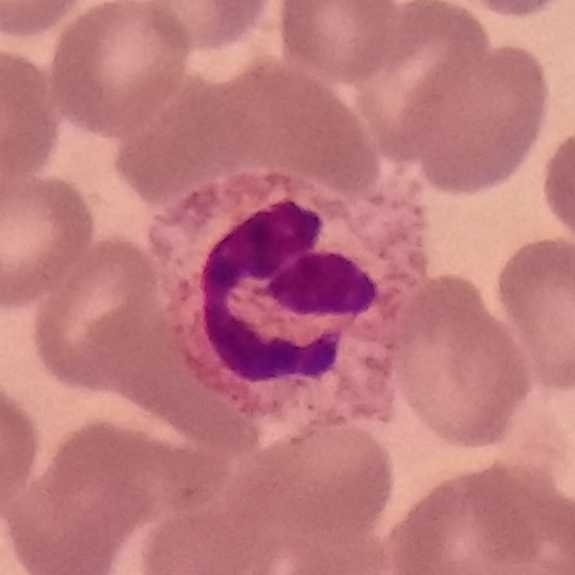

{"cell_type": "neutrophil granulocyte", "lineage": "myeloid"}